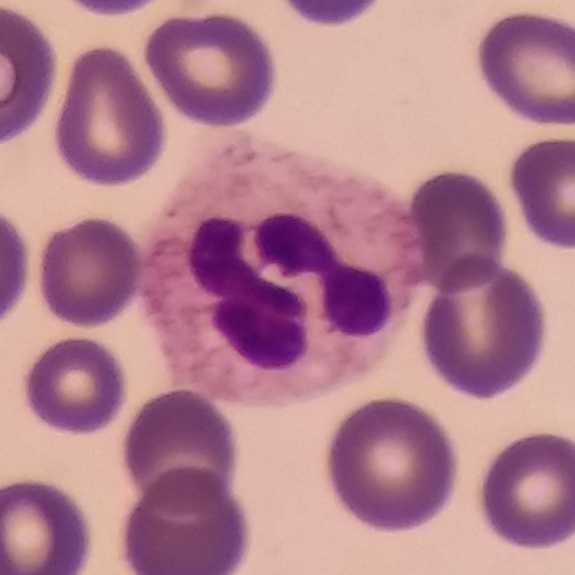Q: Which type of white blood cell is this?
A: A neutrophilic granulocyte.